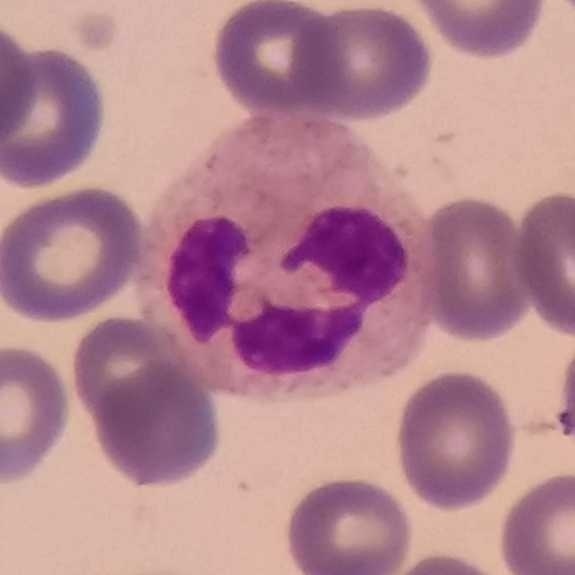

Image: Peripheral blood smear.
Identified as a neutrophil granulocyte.